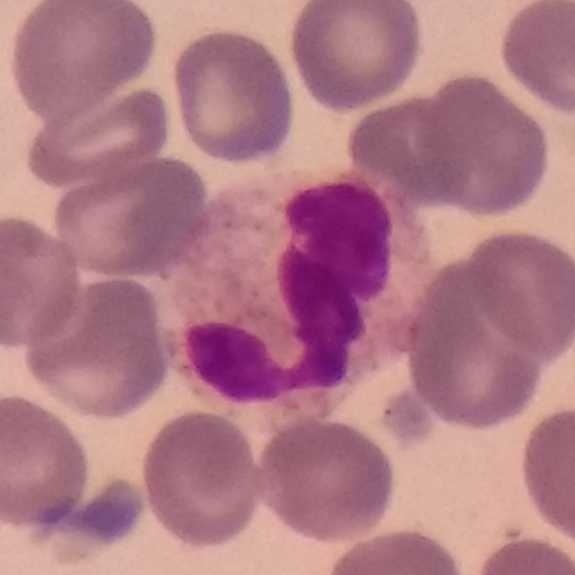

Identified as a neutrophilic granulocyte.